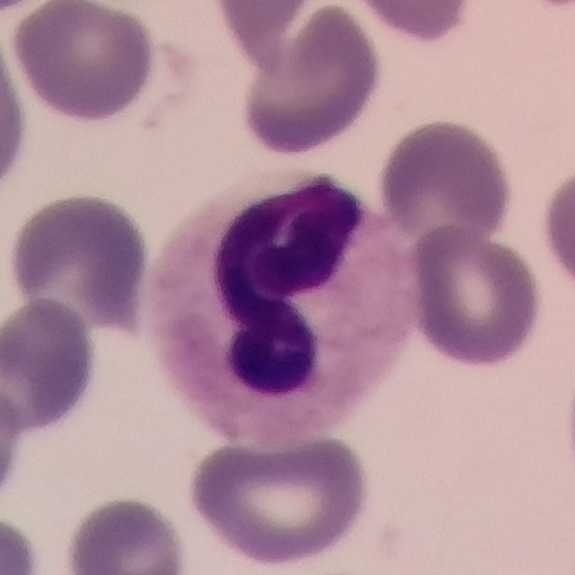

Context: Single-cell field · peripheral blood film.

Neutrophilic granulocyte.